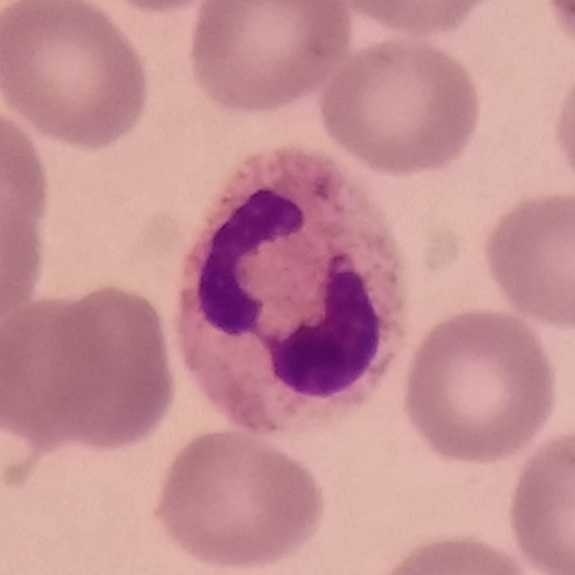 Context: Giemsa-stained · peripheral blood smear.
Single cell identified as a neutrophil granulocyte.